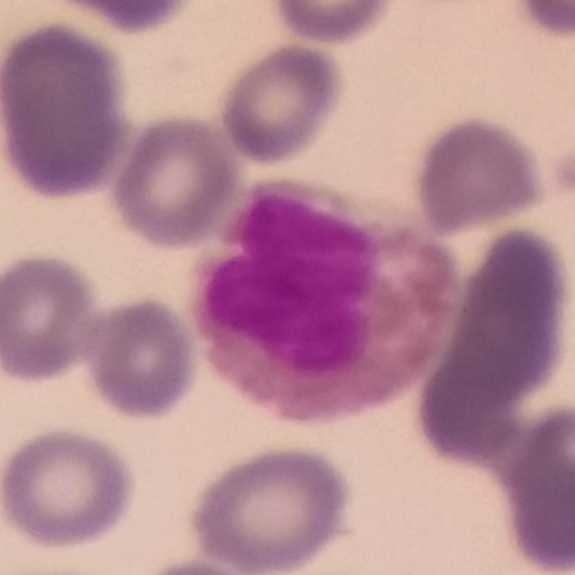 Context: Peripheral blood smear · 575×575 px.
Single cell identified as an eosinophil.